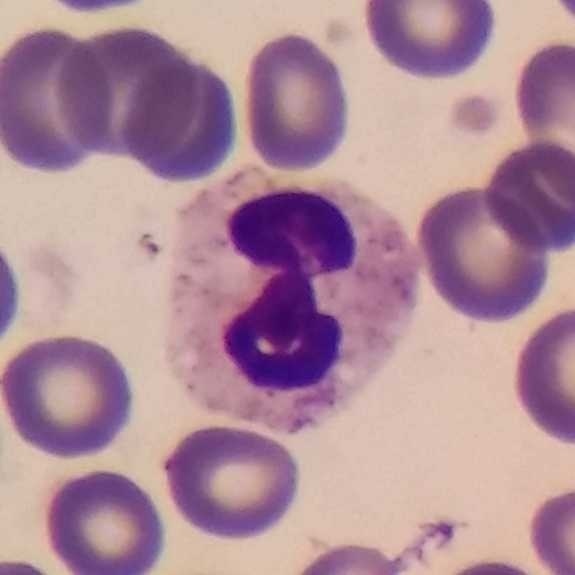Morphological class = neutrophil granulocyte.
Acquisition: Peripheral blood film · imaged at 100×.